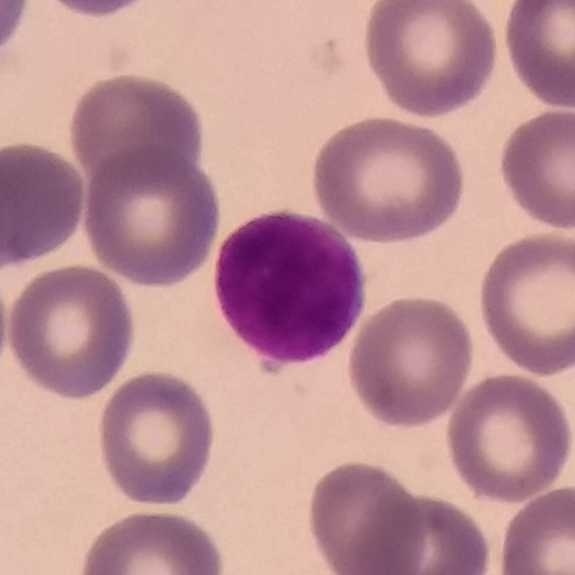Image: Phone-camera image taken through the microscope ocular · imaged at 100× · peripheral blood smear.
The cell is lymphocyte.